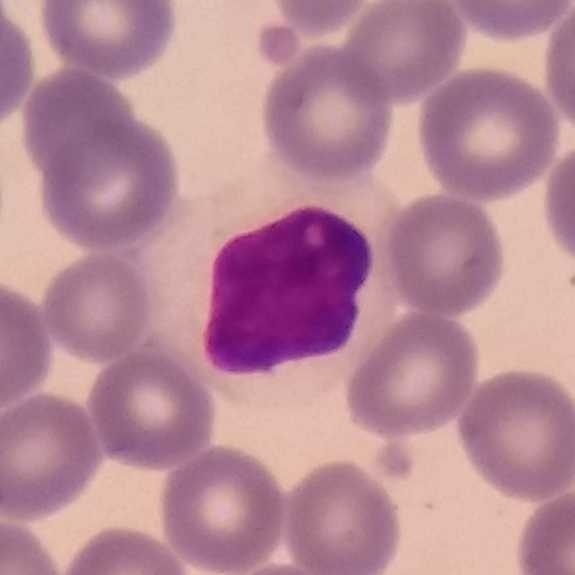Specimen: peripheral blood smear.
Morphological class: lymphocyte.
Lineage: lymphoid.